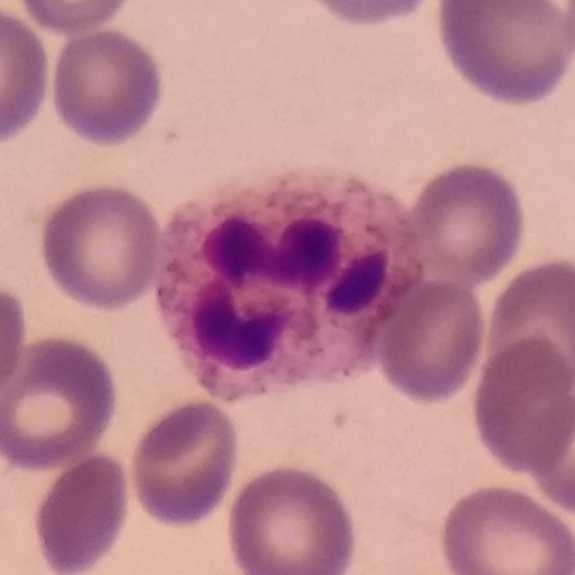
Acquisition: Peripheral blood smear.

The cell type is neutrophilic granulocyte.